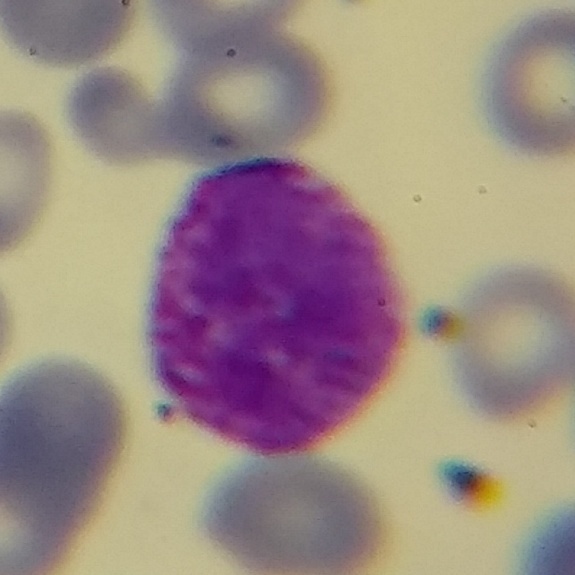The cell shown is a basophilic granulocyte.